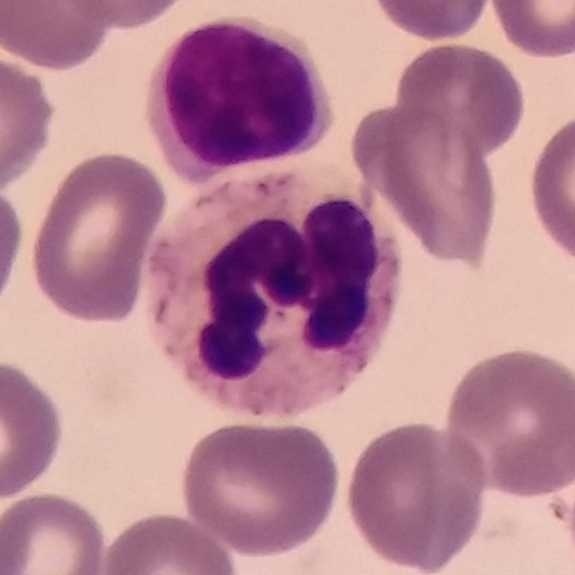 Specimen: peripheral blood film.
Classification: neutrophil granulocyte.